Photographed through a light microscope with a smartphone camera; peripheral blood film.
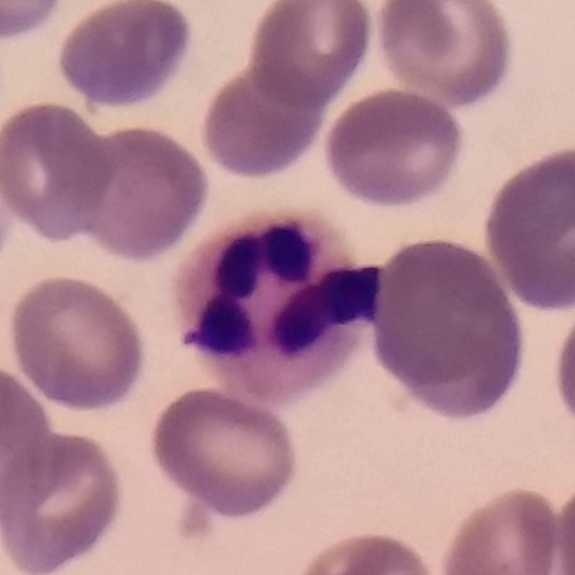Neutrophil granulocyte.